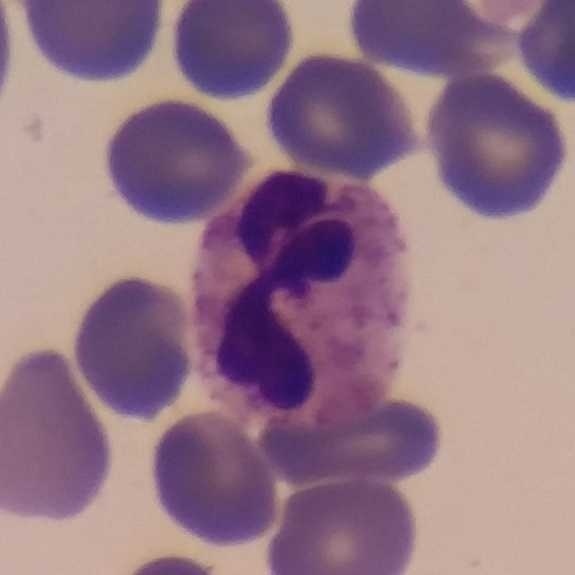
Morphology — neutrophil.